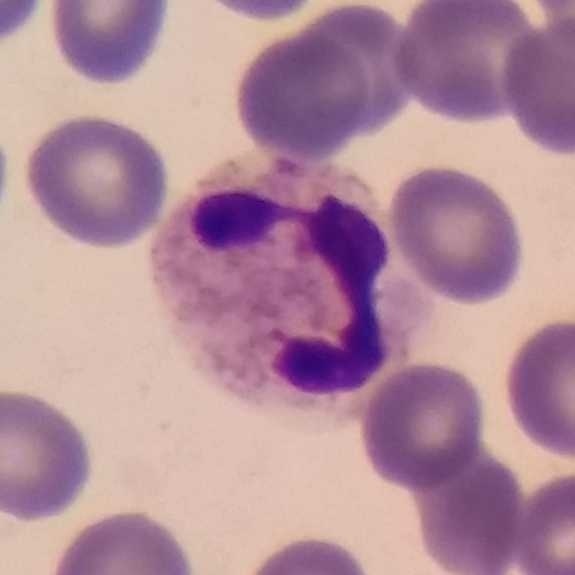 White blood cell type — neutrophilic granulocyte.

Peripheral blood film; smartphone photomicrograph.